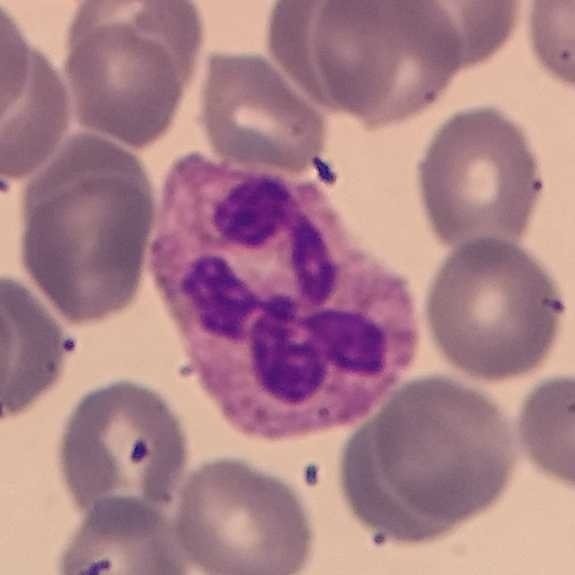Specimen: peripheral blood film.
Cell type: neutrophilic granulocyte.
Lineage: myeloid.